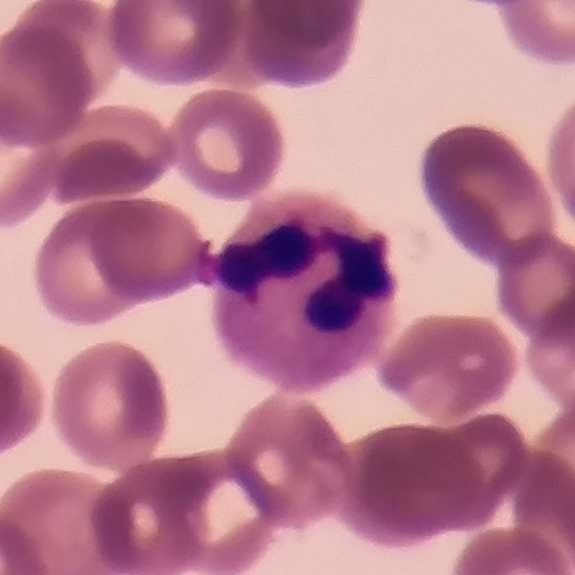

Q: Classify this leukocyte.
A: Neutrophil granulocyte.

Preparation: Peripheral blood film.